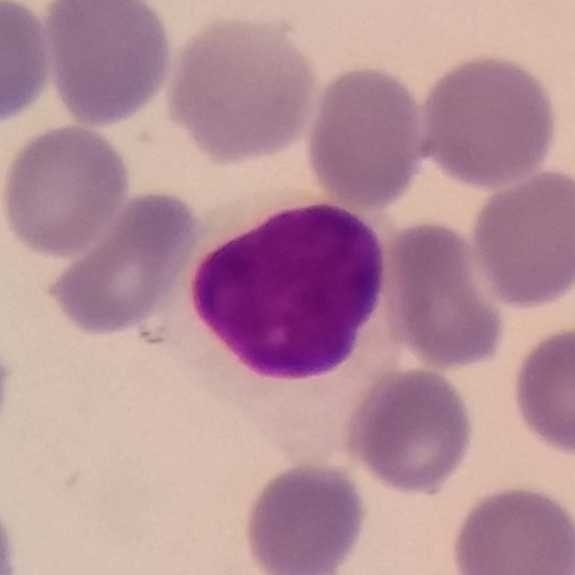 White blood cell type = lymphocyte. Image: Peripheral blood film.